Peripheral blood smear: 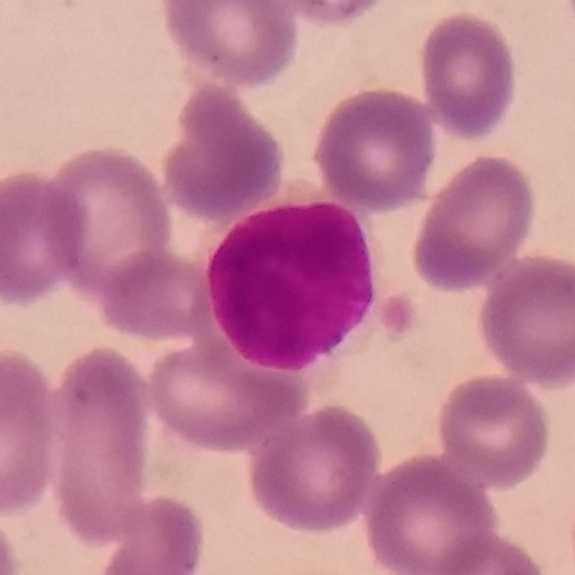Identified as a lymphocyte.